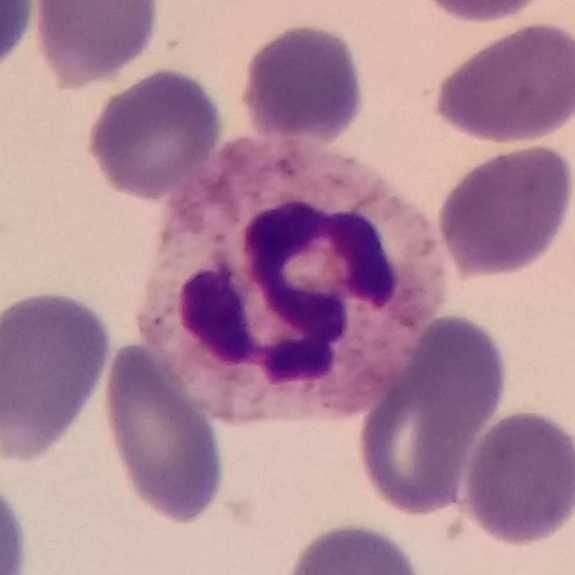 The cell shown is a neutrophilic granulocyte.

Acquisition: Imaged at 100× · peripheral blood film.